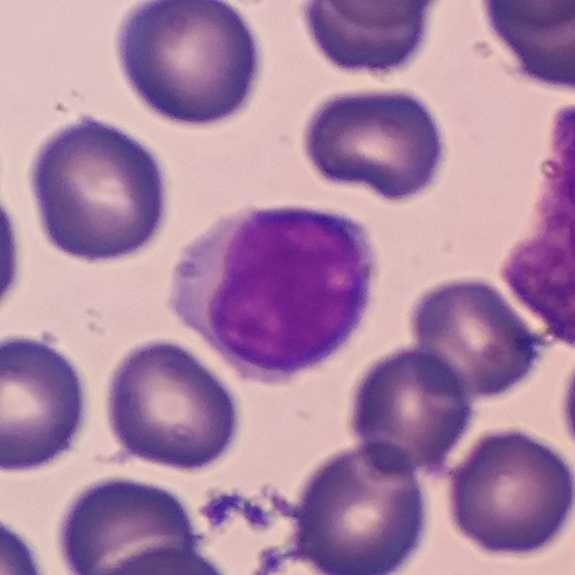 Peripheral blood smear showing a lymphocyte.